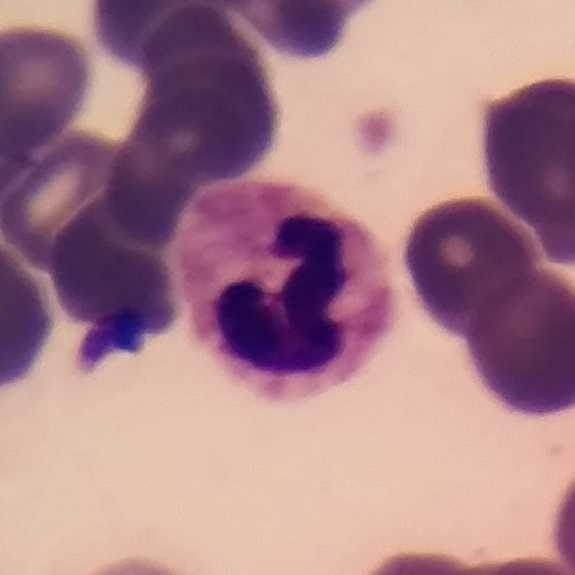{"cell_type": "neutrophil", "lineage": "myeloid"} Context: Peripheral blood film. Stained with Giemsa. Single white blood cell cropped from the smear photograph.